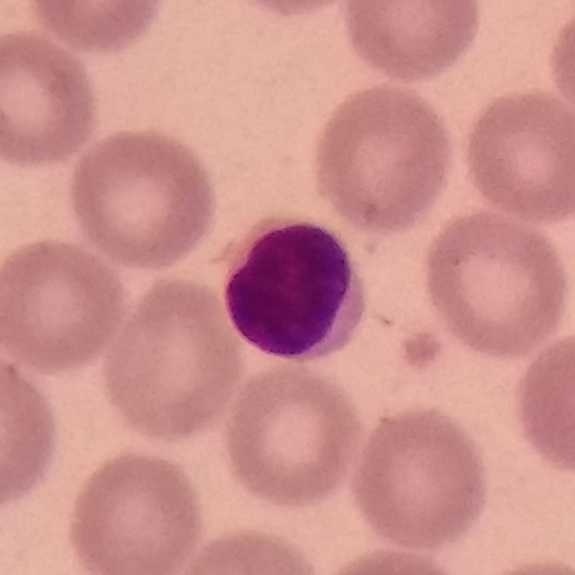

White blood cell from a peripheral blood smear: lymphocyte.